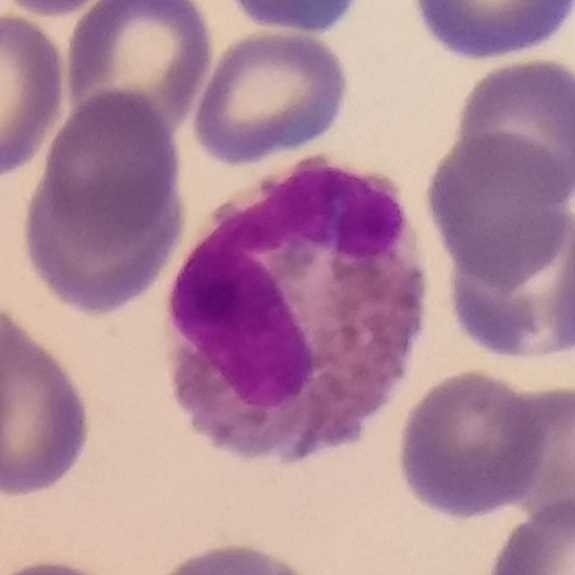

Single-cell crop; peripheral blood film.

Impression → eosinophil.